100× magnification; peripheral blood smear:
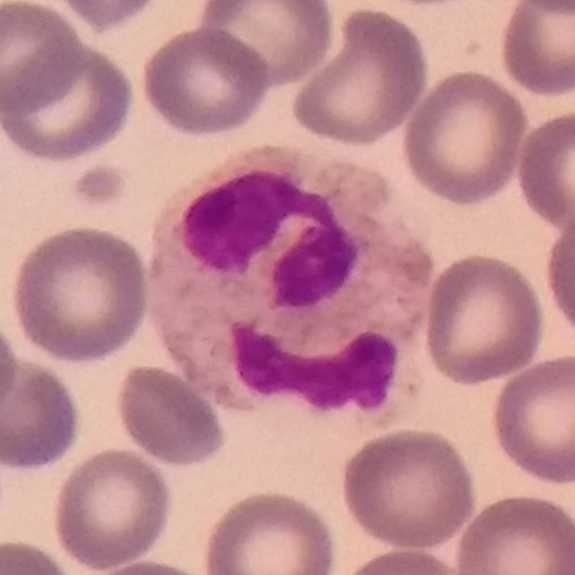 Showing a neutrophilic granulocyte.